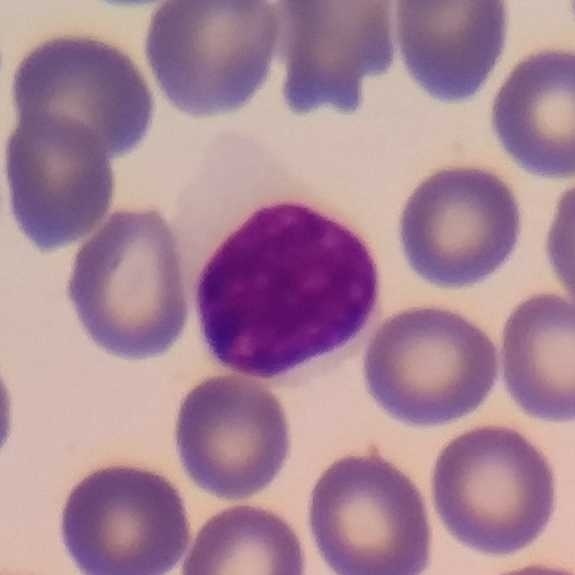

Photographed through a light microscope with a smartphone camera. Stained with Giemsa. Peripheral blood film. Impression — lymphocyte.